Peripheral blood smear
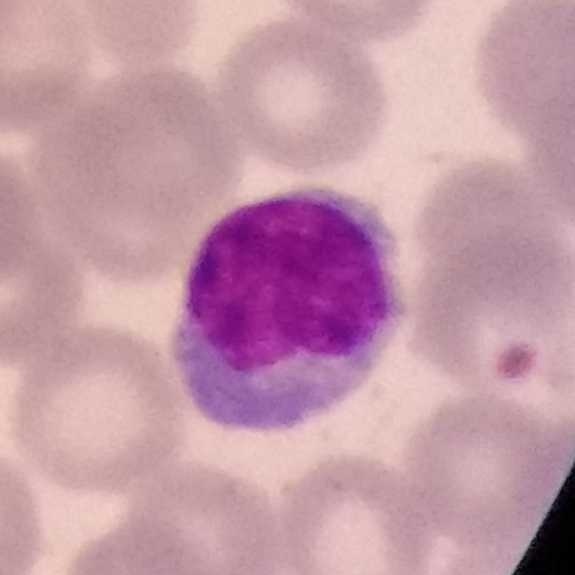

Single cell identified as a lymphocyte.